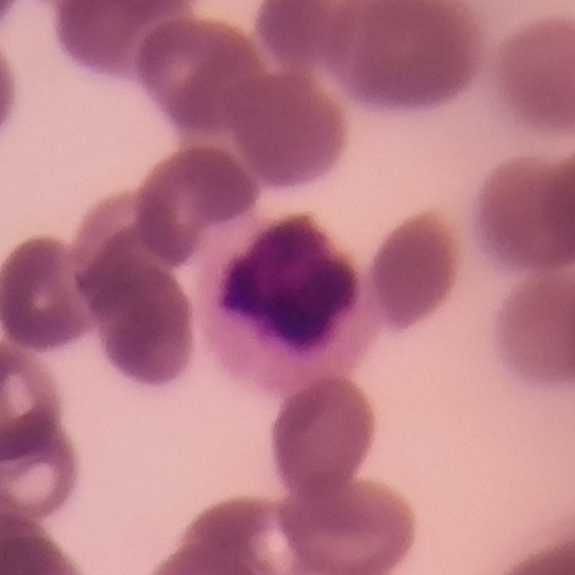

Preparation: Peripheral blood smear.

The white blood cell in this image is a neutrophil.